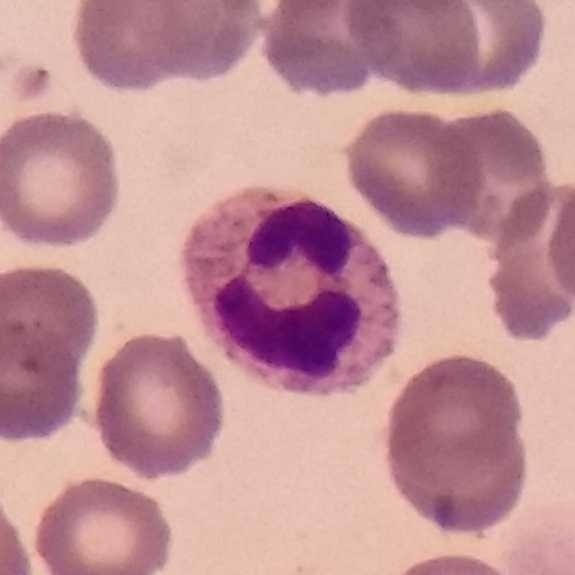 Context: Single-cell field · peripheral blood film.
This is a neutrophilic granulocyte.